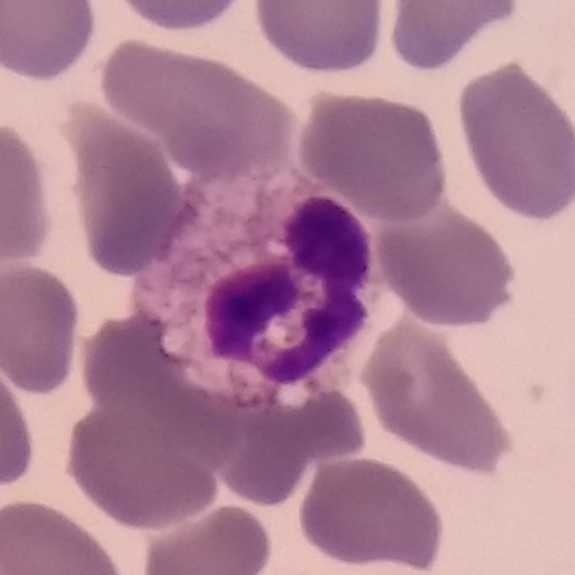From a peripheral blood smear: a neutrophil granulocyte.